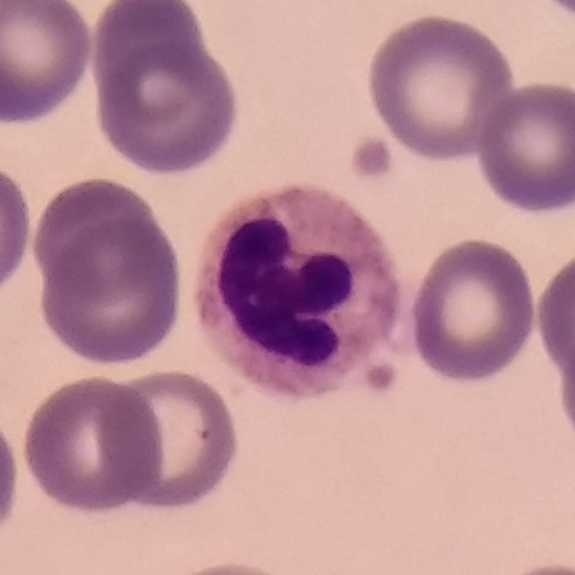
Classification: neutrophil granulocyte.

Peripheral blood smear.